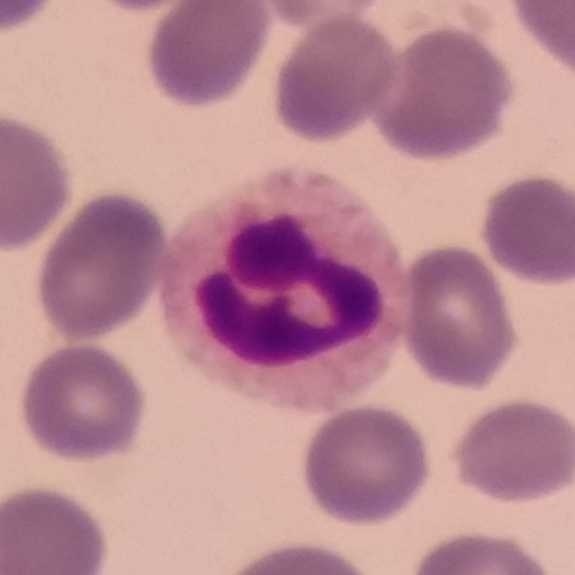

Morphology consistent with a neutrophil granulocyte. Image: Peripheral blood smear. 575 by 575 pixels.